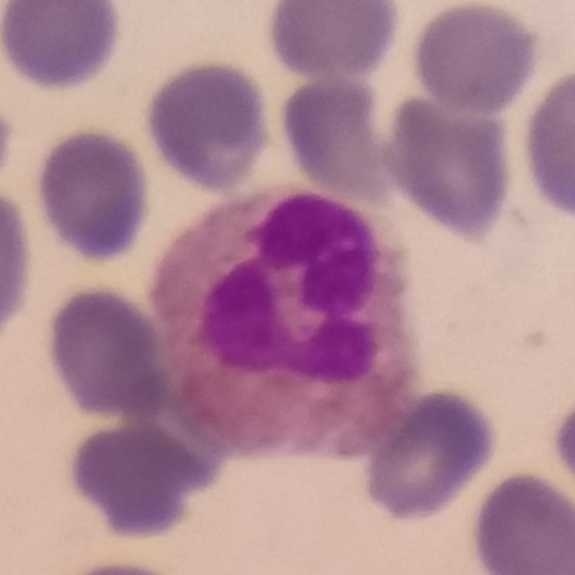
Peripheral blood film. Classification = eosinophil.